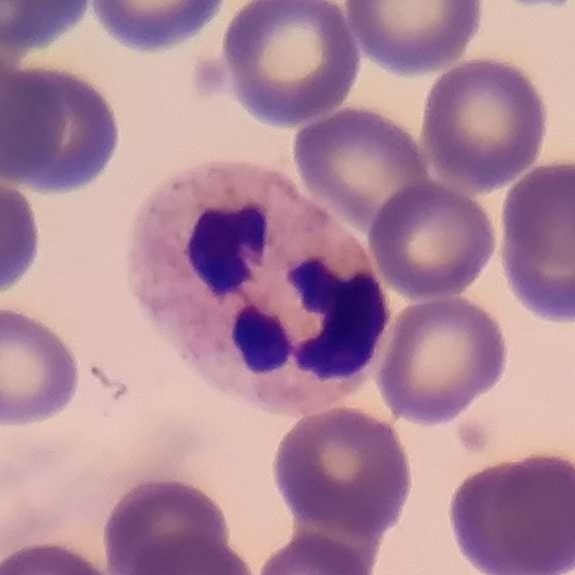 Single cell identified as a neutrophilic granulocyte.
Peripheral blood smear.